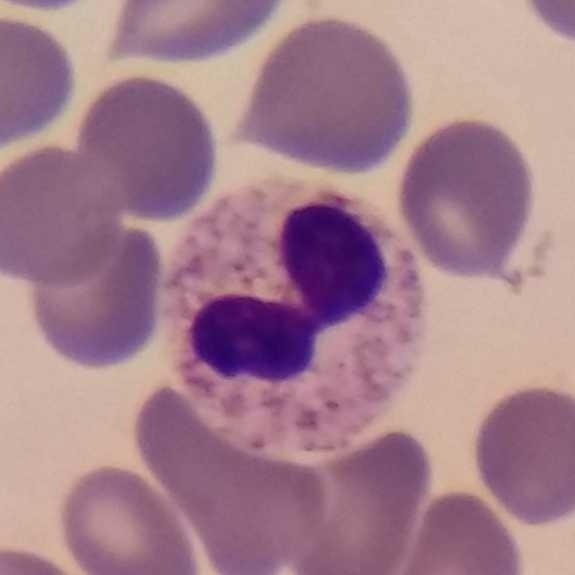 The cell shown is a neutrophil granulocyte.
Peripheral blood film.